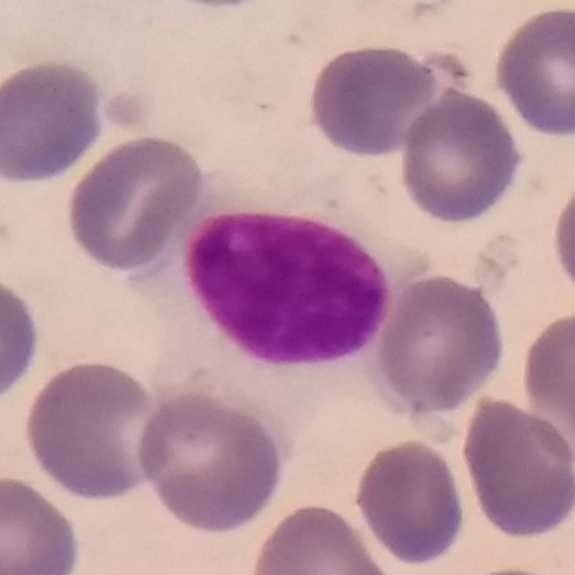 Context: Peripheral blood smear.
Morphology → lymphocyte.